Peripheral blood film.
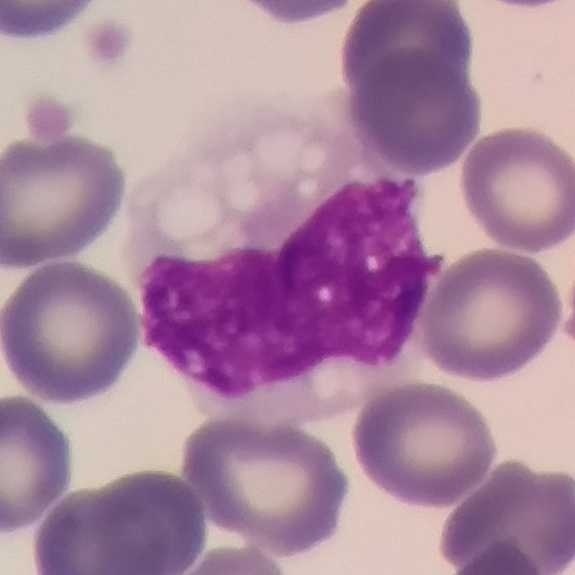 Cell: monocyte.